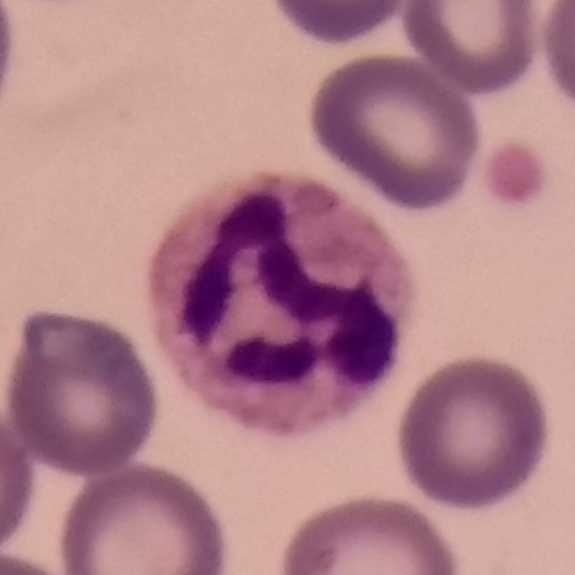Classification — neutrophil granulocyte.

Context: Magnification 100× · peripheral blood smear.